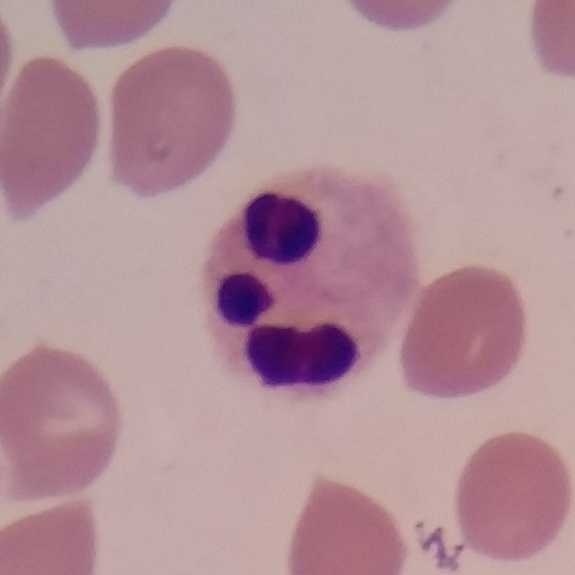Preparation: Peripheral blood film; cropped to one leukocyte.

Q: What cell is this?
A: Neutrophilic granulocyte.